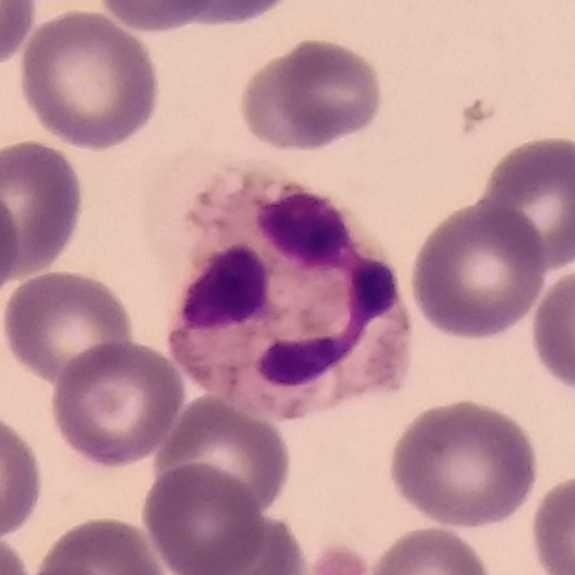
Acquisition: Peripheral blood film.

Morphological class = neutrophil granulocyte.